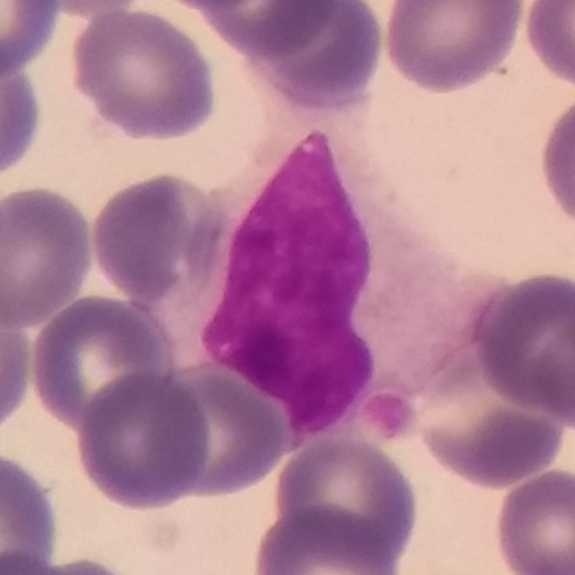 Peripheral blood film. The classification is lymphocyte.